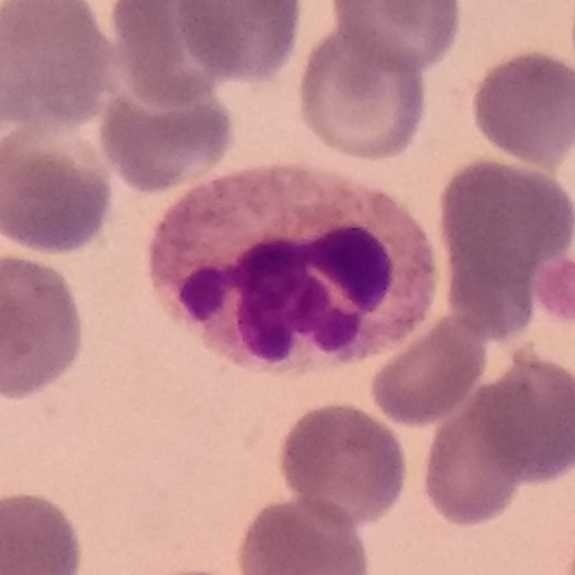
{"cell_type": "neutrophil granulocyte", "lineage": "myeloid"}

Context: Imaged at 100×. Peripheral blood film.